Giemsa stain; peripheral blood smear; smartphone camera mounted on the microscope eyepiece — 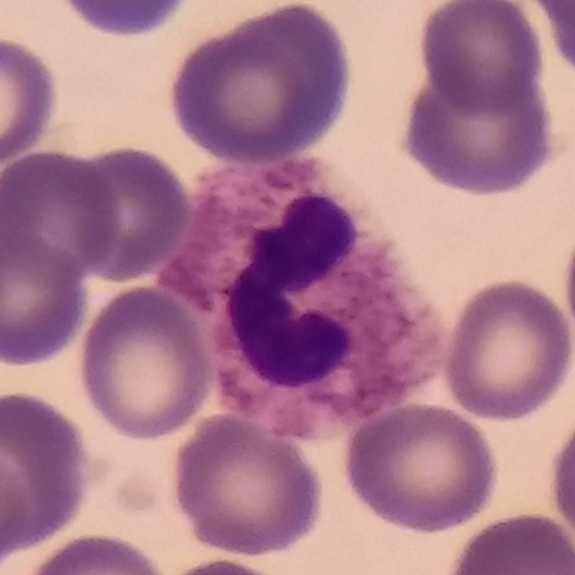 This is a neutrophil.